Peripheral blood smear.
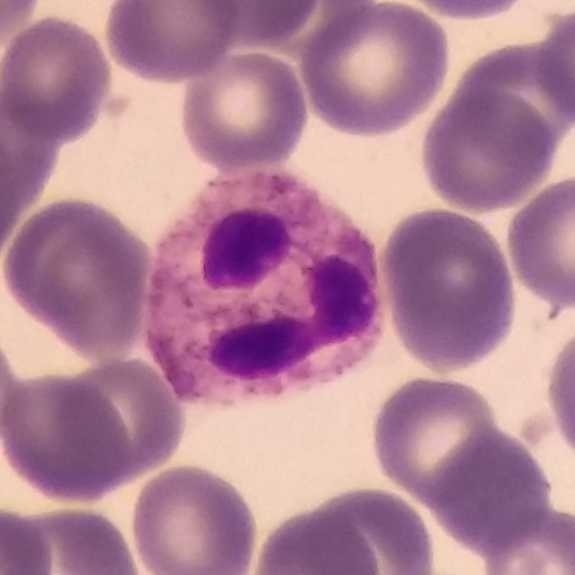Q: What is this?
A: This is a neutrophil granulocyte.